100× magnification; peripheral blood smear:
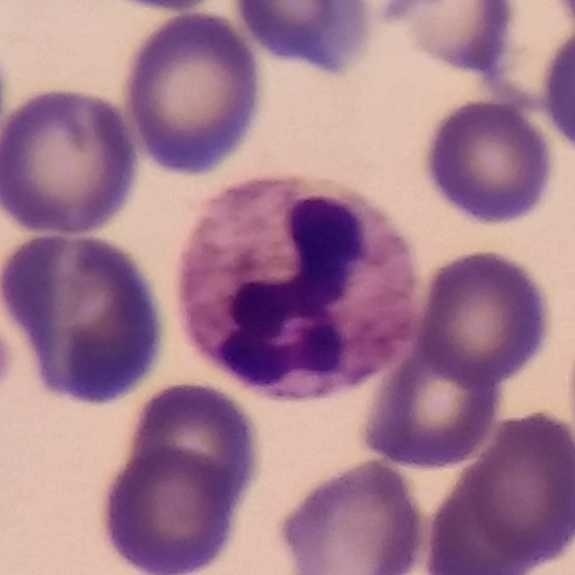
Specimen: peripheral blood film.
Cell type: neutrophilic granulocyte.
Lineage: myeloid.